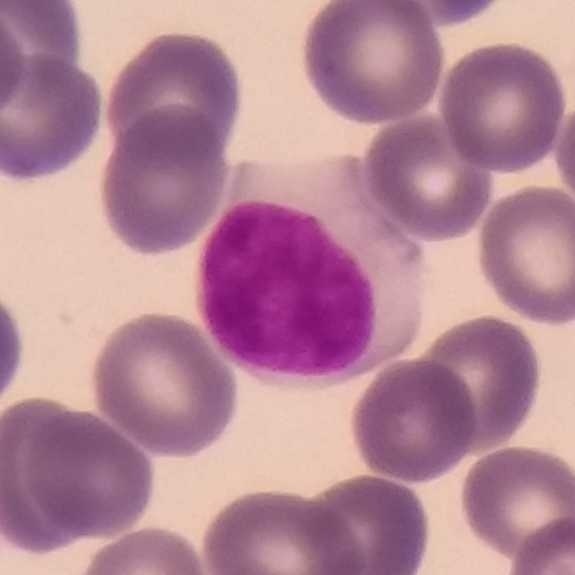 Acquisition: Peripheral blood smear.

Lymphocyte.